Peripheral blood smear:
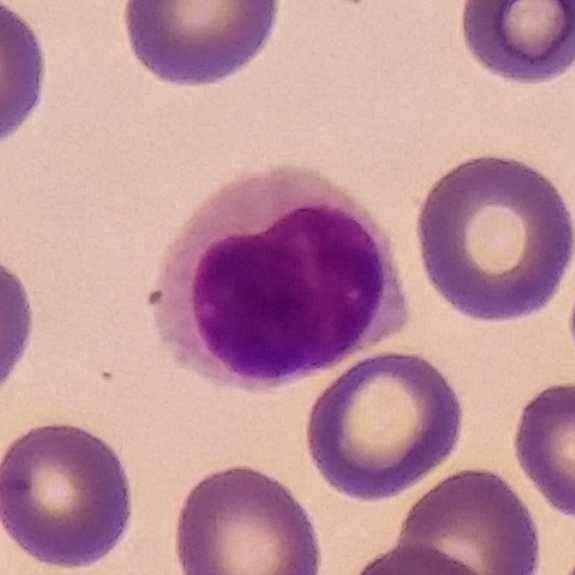

Q: What type of cell is this?
A: This is a lymphocyte.